Image size 575×575; magnification 100×; peripheral blood film:
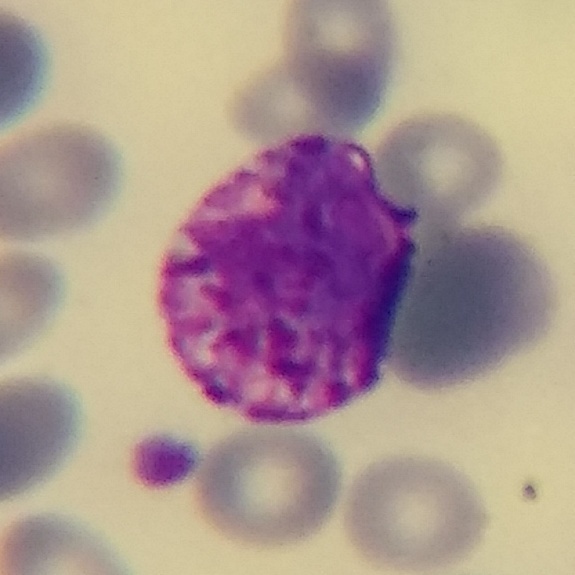

Morphology consistent with a basophilic granulocyte.